100× magnification. Peripheral blood smear — 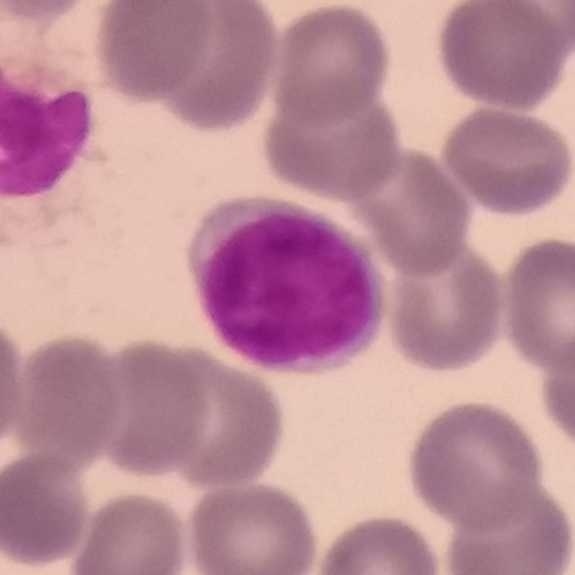

Showing a lymphocyte.